Peripheral blood film.
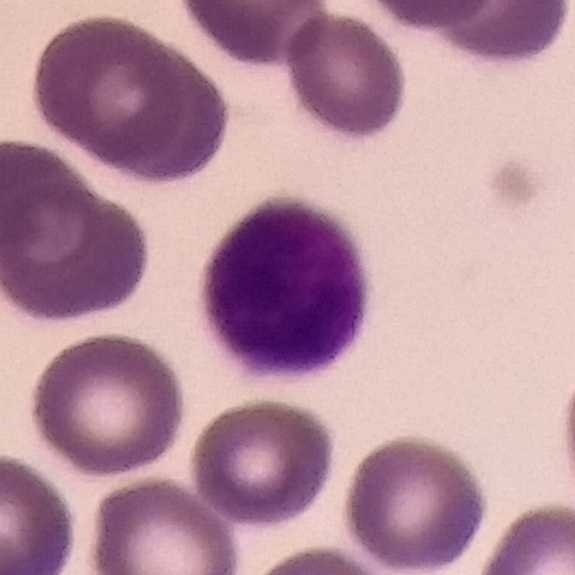

The white blood cell in this image is a lymphocyte.